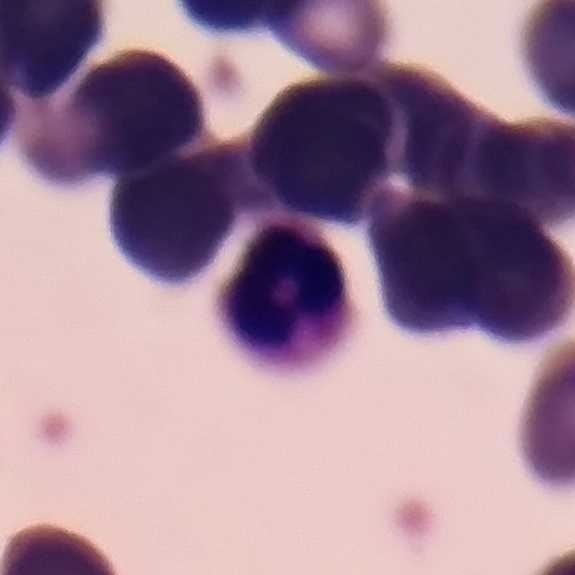

The classification is neutrophil.

Peripheral blood smear.